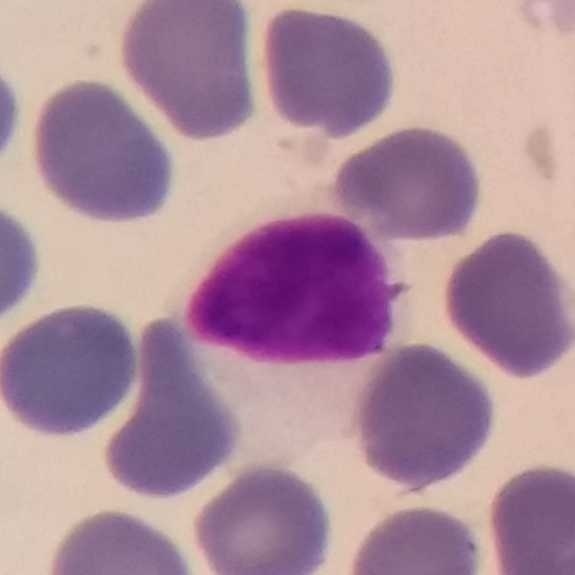Single cell identified as a lymphocyte.

Stained with Giemsa · cropped to one leukocyte · peripheral blood smear.